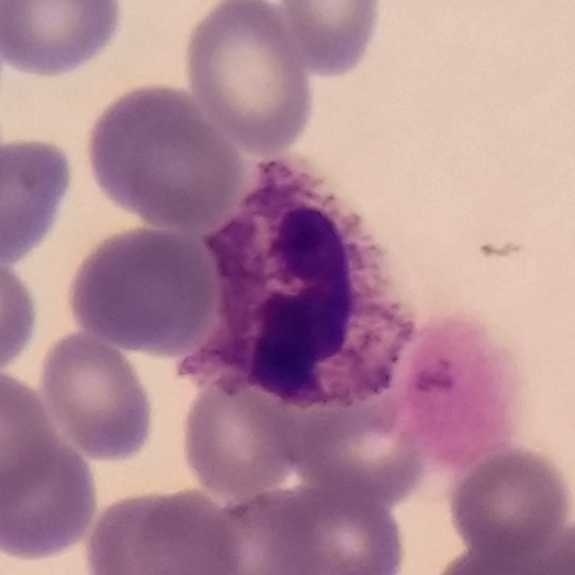
Image: Peripheral blood film.

Neutrophil.